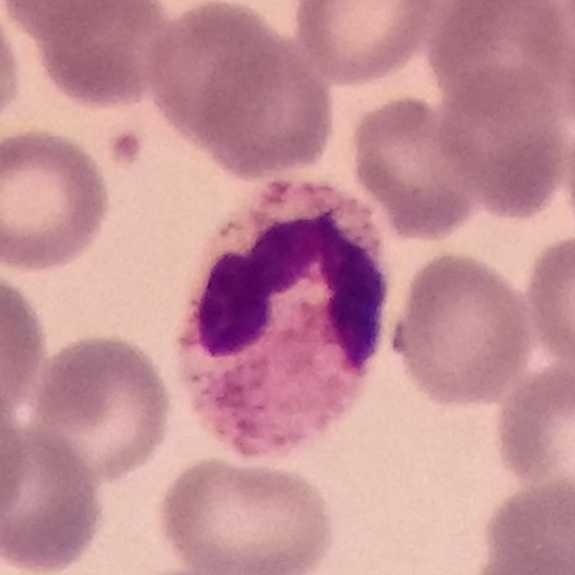White blood cell type: neutrophil granulocyte.

Preparation: Peripheral blood smear.